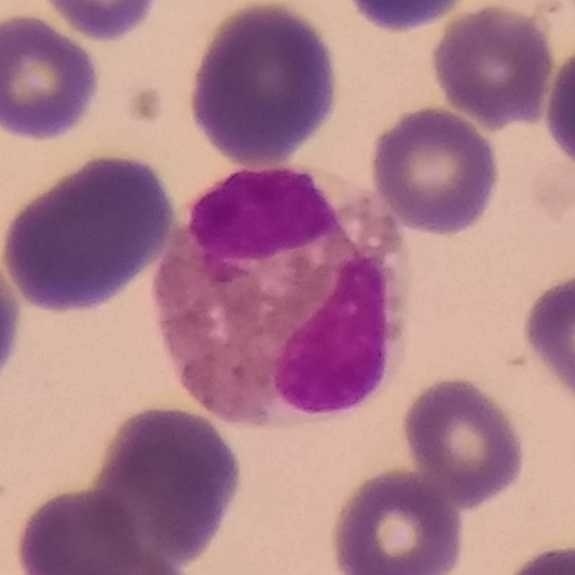
The cell is eosinophil.